Peripheral blood smear
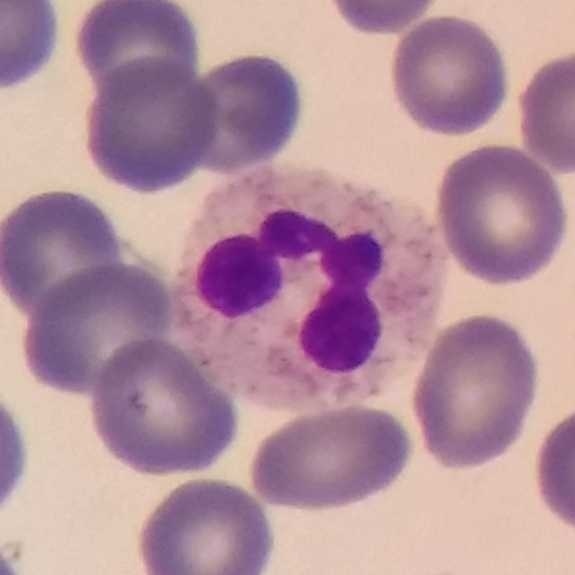

Single cell identified as a neutrophilic granulocyte.